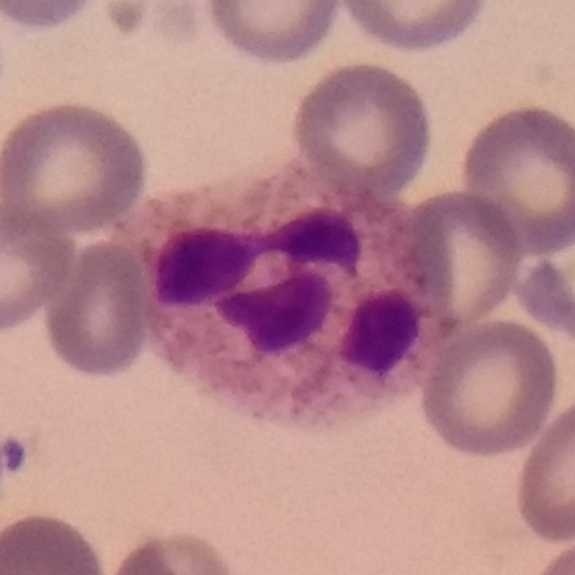

Q: Identify the cell.
A: This is a neutrophil granulocyte. Peripheral blood smear · 100× magnification · photographed through a light microscope with a smartphone camera.